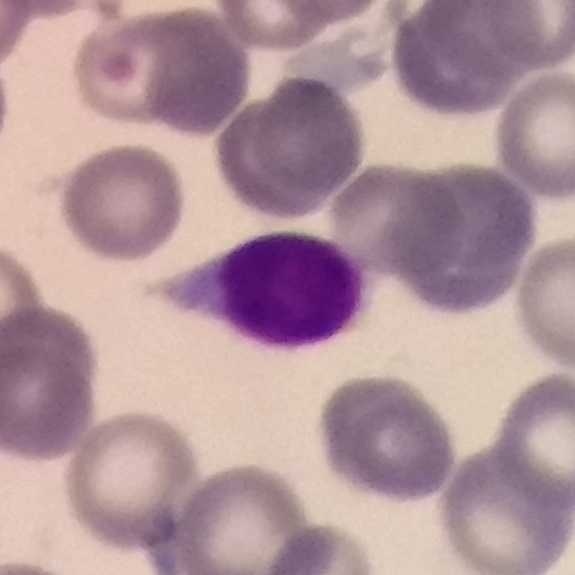The classification is lymphocyte.